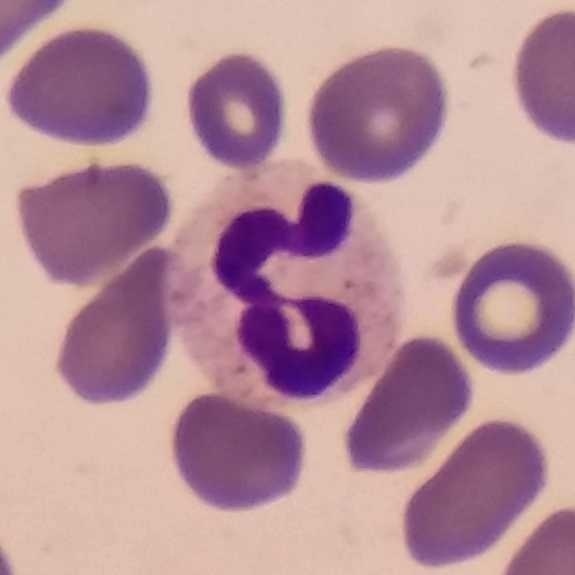The cell type is neutrophil granulocyte. Acquisition: Single-cell field; peripheral blood film.